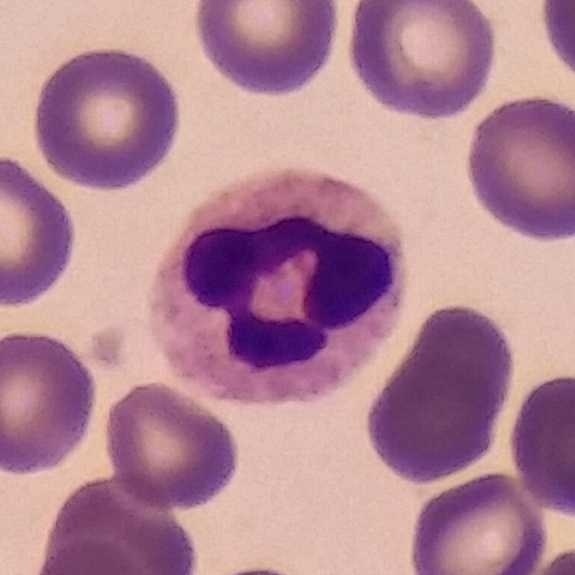
The morphological class is neutrophilic granulocyte.

Image: Peripheral blood film; magnification 100×; image size 575×575.